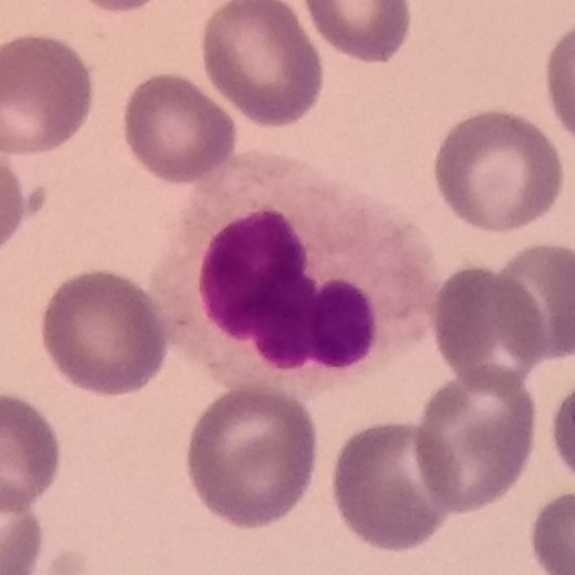Morphology — neutrophilic granulocyte. Image: Peripheral blood film · phone-camera image taken through the microscope ocular · stained with Giemsa.